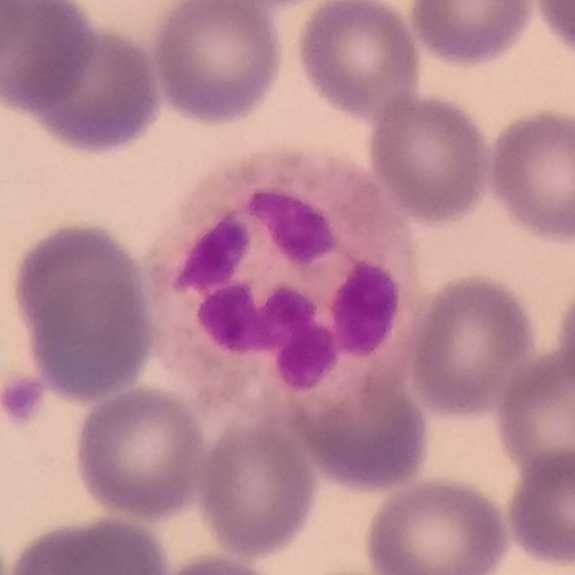
Preparation: Peripheral blood film.

Single cell identified as a neutrophil granulocyte.